Peripheral blood film · stained with Giemsa: 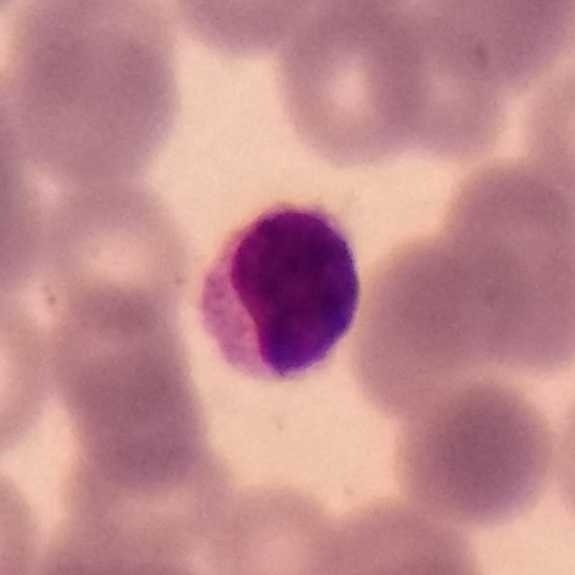
{"cell_type": "lymphocyte"}